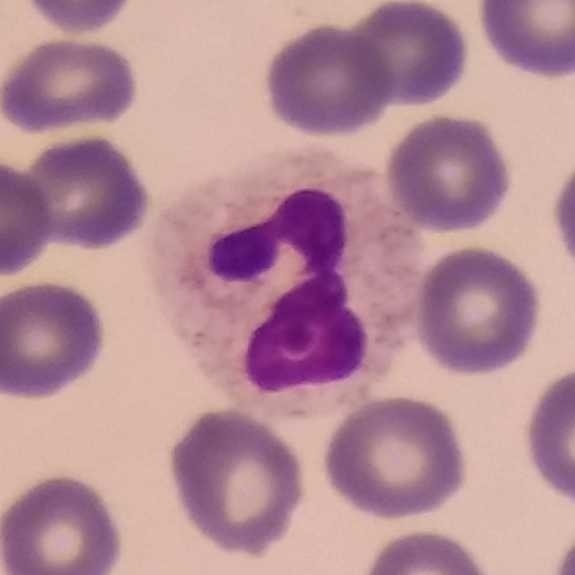

The white blood cell in this image is a neutrophil granulocyte. Acquisition: Imaged at 100×; peripheral blood smear.